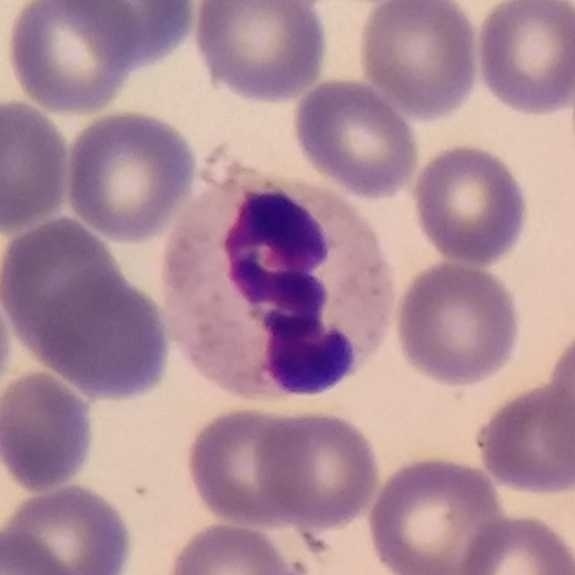Specimen: peripheral blood film.
Cell type: neutrophil granulocyte.
Lineage: myeloid.